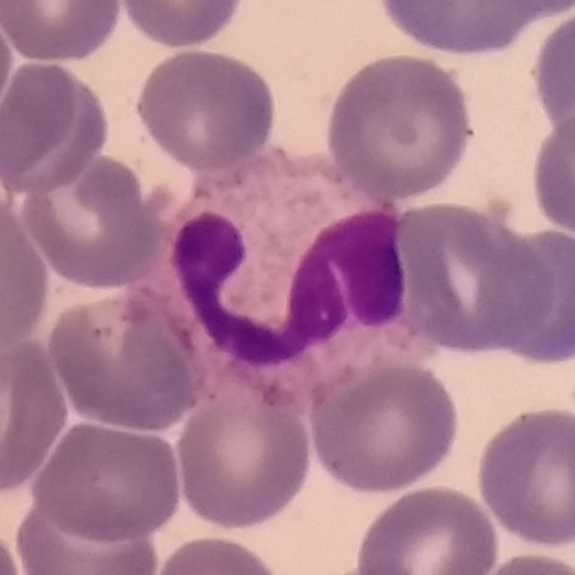
White blood cell type — neutrophil.

Image: Phone-camera image taken through the microscope ocular; peripheral blood film; imaged at 100×.